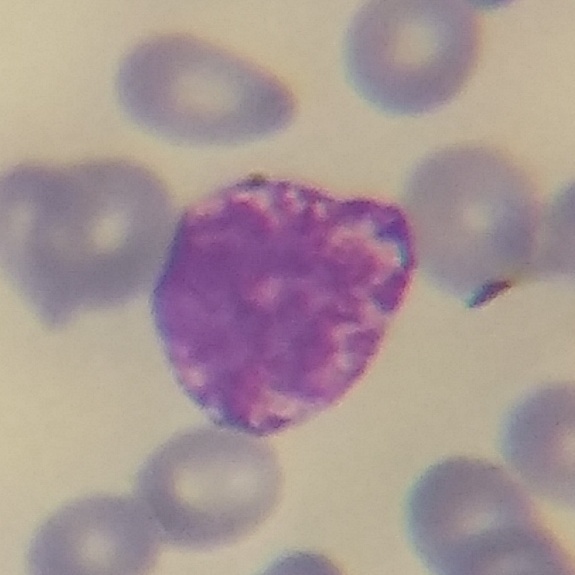

Identified as a basophil.